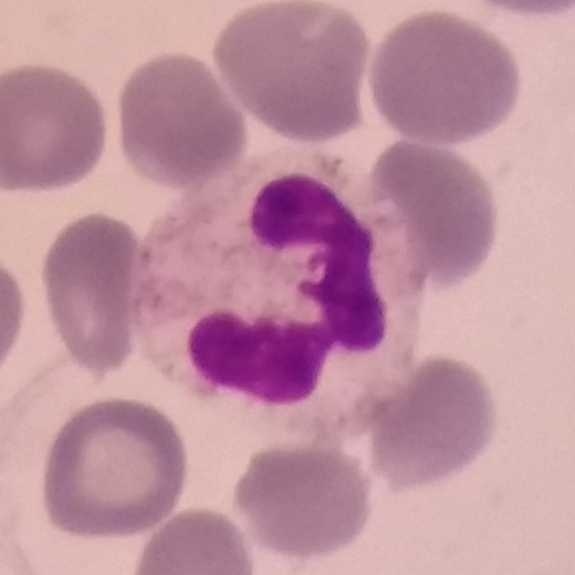Specimen: peripheral blood film.
Classification: neutrophilic granulocyte.
Lineage: myeloid.